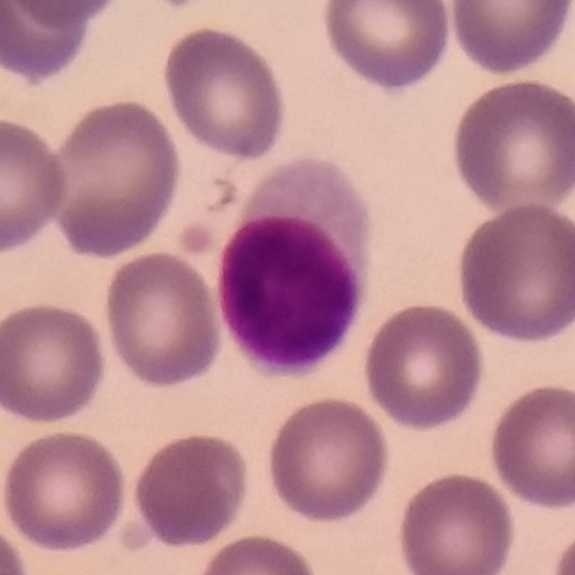Specimen: peripheral blood film.
Morphological class: lymphocyte.
Lineage: lymphoid.